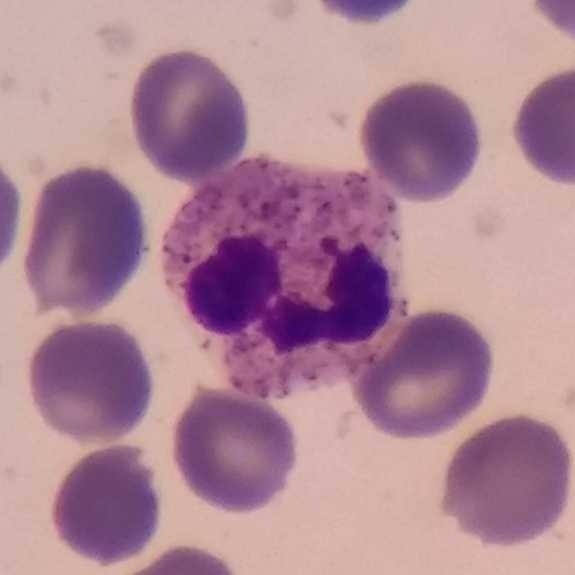Cell type = neutrophil granulocyte. Peripheral blood smear.